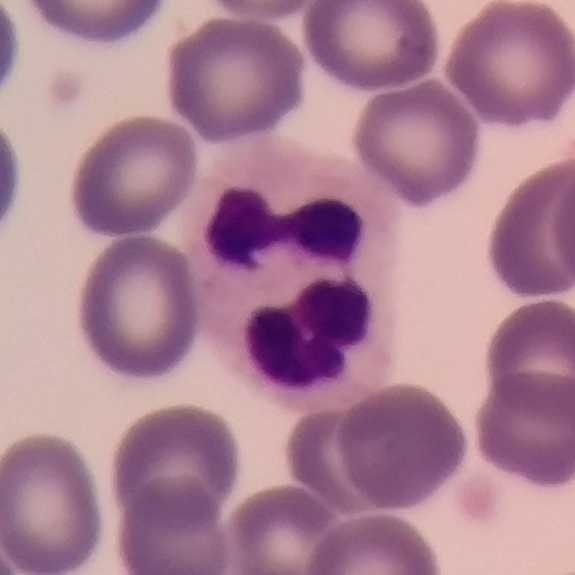Preparation: Smartphone photomicrograph. Peripheral blood film.
Q: Classify this leukocyte.
A: This is a neutrophilic granulocyte.